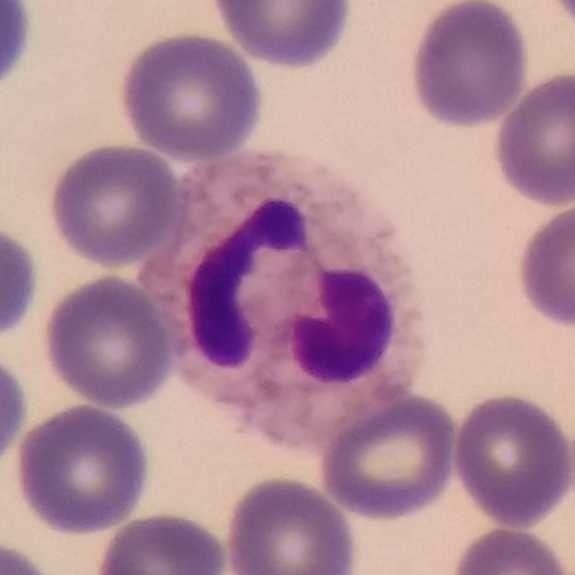

Imaged at 100×; peripheral blood smear.
Classification: neutrophilic granulocyte.